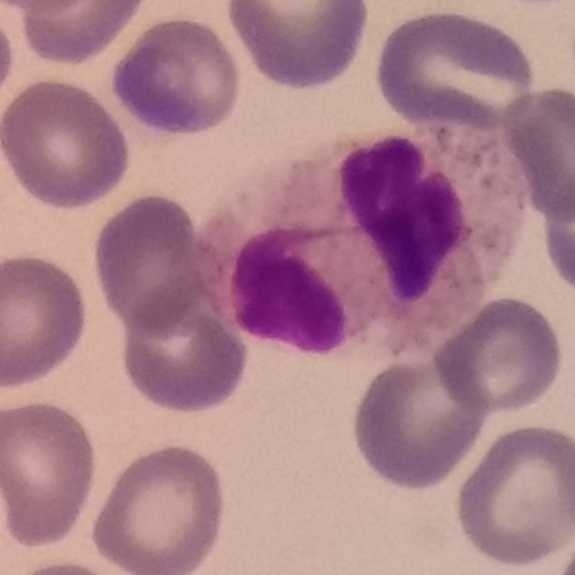
Preparation: Peripheral blood smear.

Identified as a neutrophilic granulocyte.